Smartphone photomicrograph. Peripheral blood film: 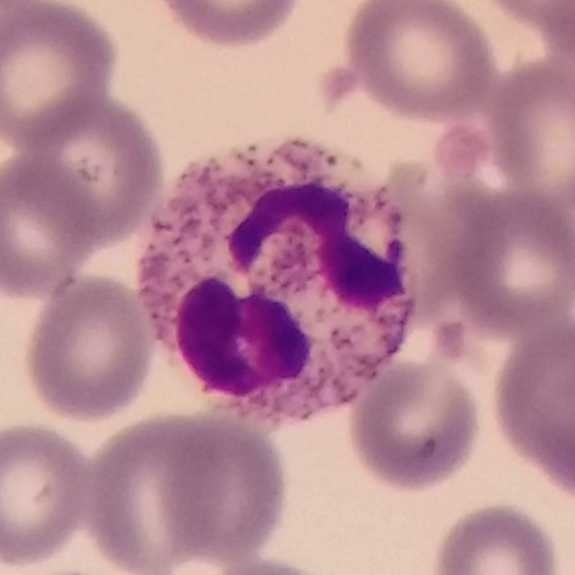

Specimen: peripheral blood film.
Cell type: neutrophil.